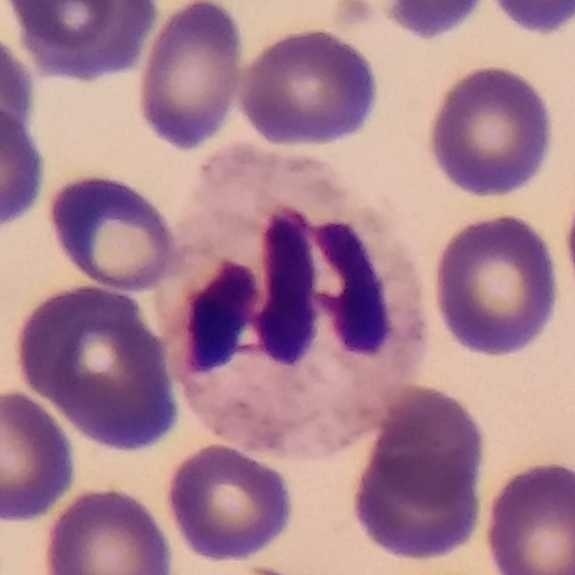

Peripheral blood film.
Morphology → neutrophilic granulocyte.